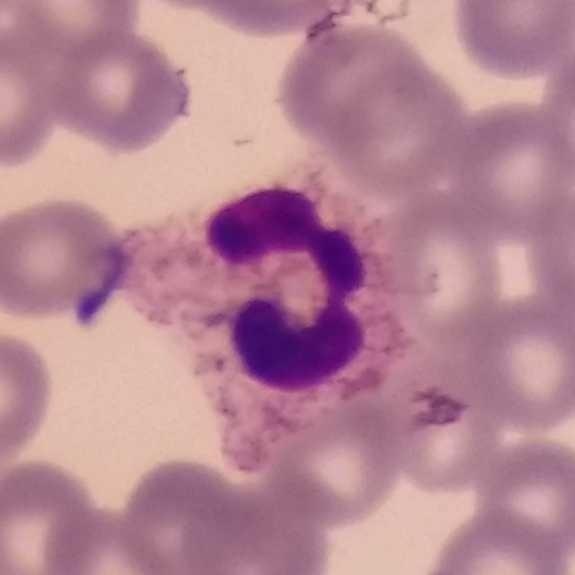 Context: Peripheral blood film. Impression — neutrophilic granulocyte.